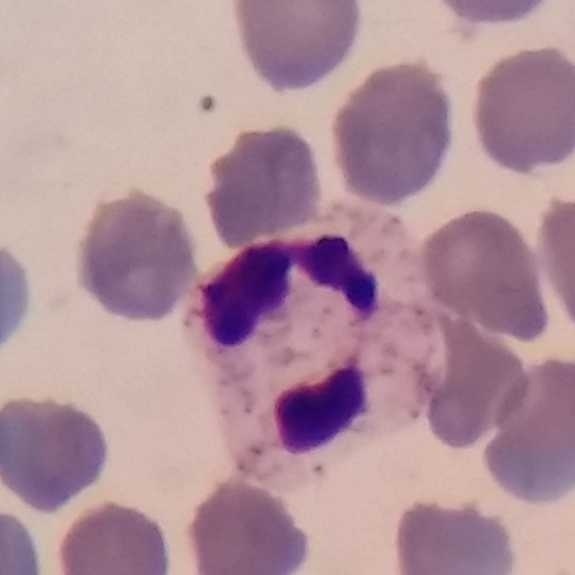

White blood cell type: neutrophilic granulocyte.